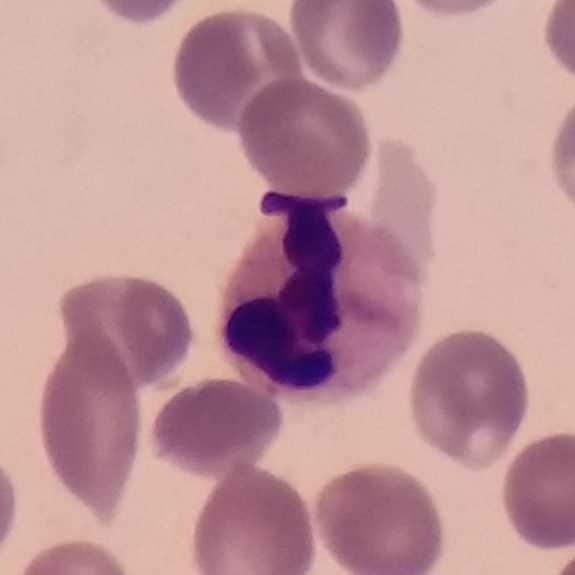

Context: Peripheral blood film.
White blood cell type = neutrophilic granulocyte.